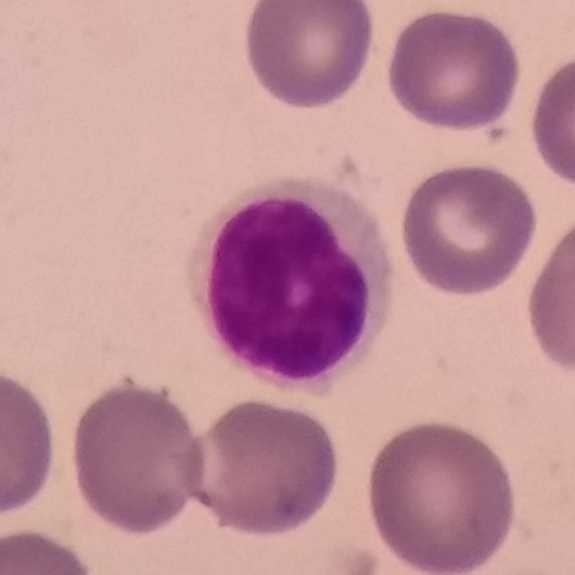 {"cell_type": "lymphocyte"}